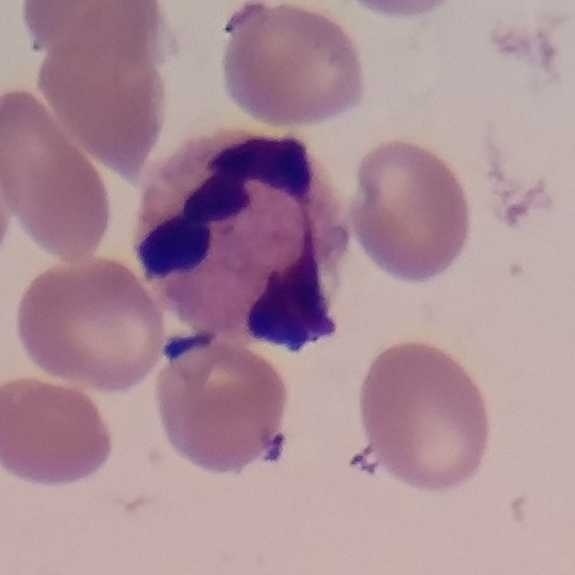
{"cell_type": "neutrophil granulocyte"} Context: Peripheral blood smear.